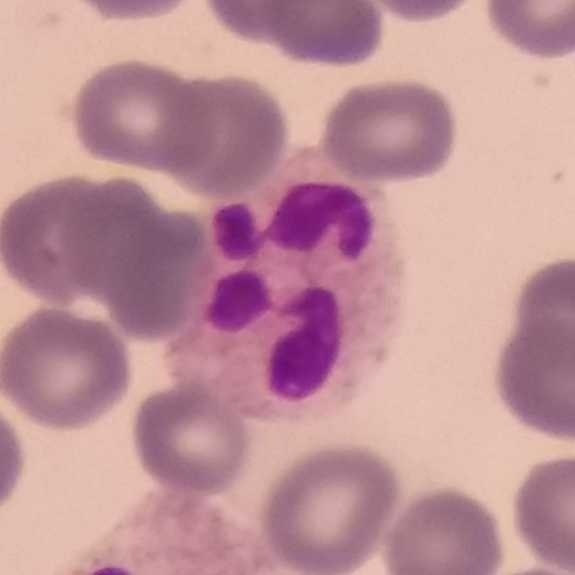

A neutrophil granulocyte on a peripheral blood smear.